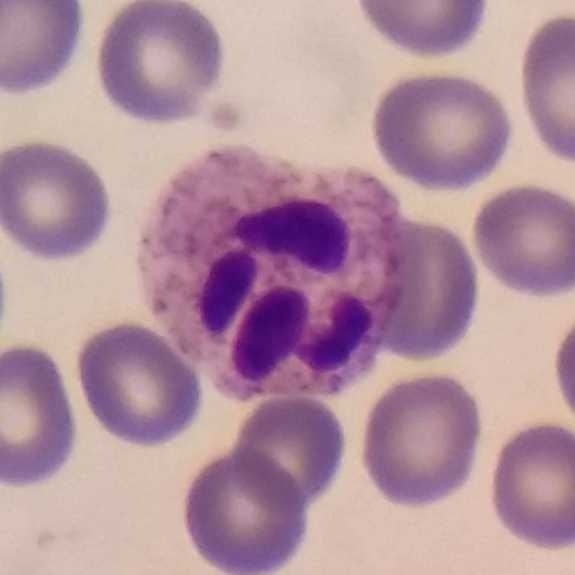Classification = neutrophilic granulocyte.
Preparation: Smartphone photomicrograph; peripheral blood smear.